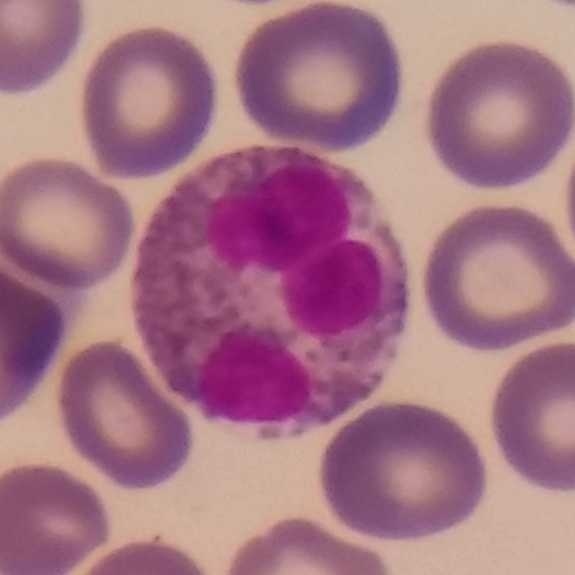
Peripheral blood smear; Giemsa stain.
Morphological class — eosinophil.